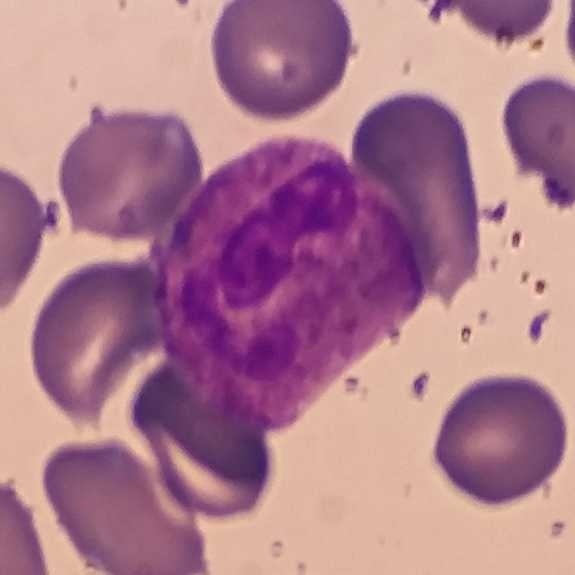
Cell type: neutrophil. Acquisition: 100× magnification · peripheral blood smear · single-cell crop.